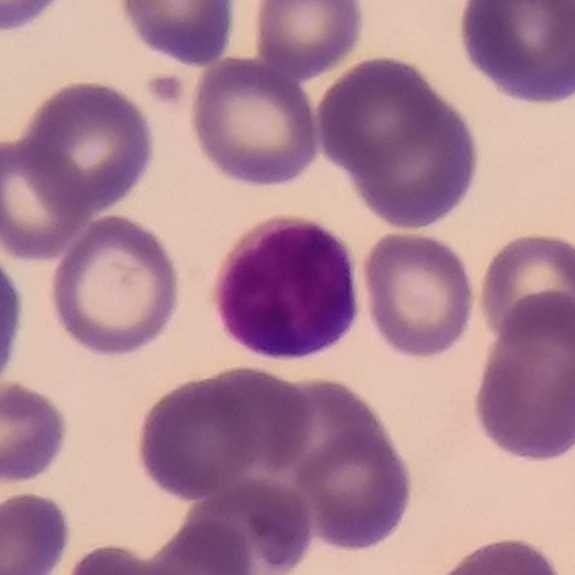

Q: Which cell type is shown here?
A: Lymphocyte.